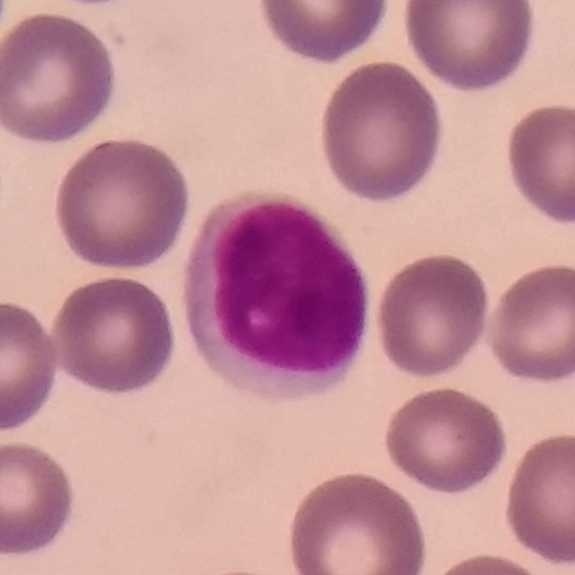
Q: Classify this leukocyte.
A: This is a lymphocyte.